Peripheral blood film
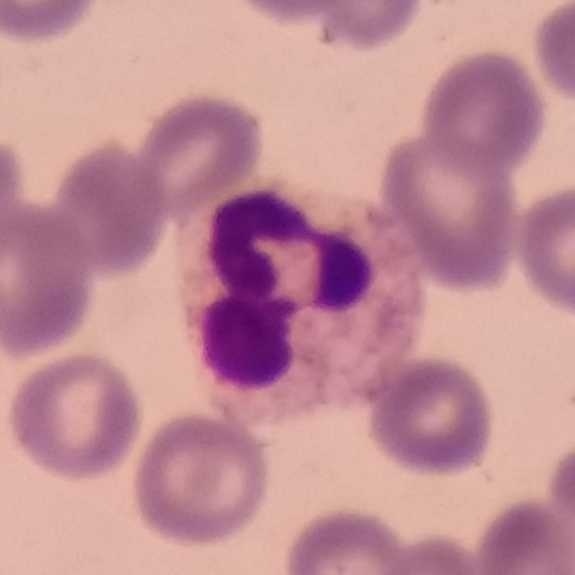
Morphology consistent with a neutrophilic granulocyte.